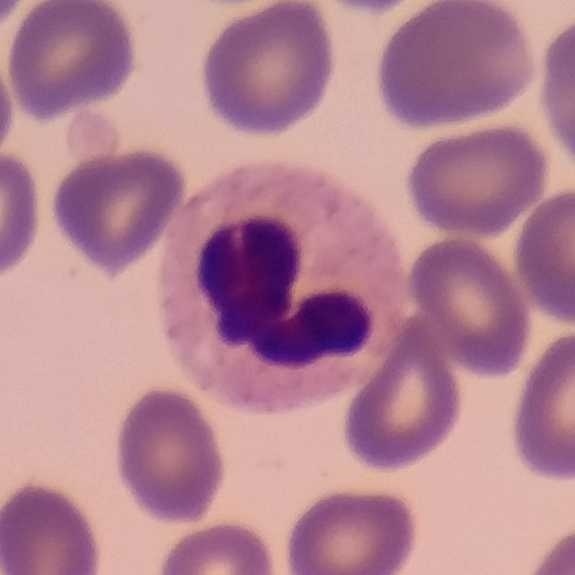
Morphology → neutrophil granulocyte.

Preparation: Peripheral blood film.